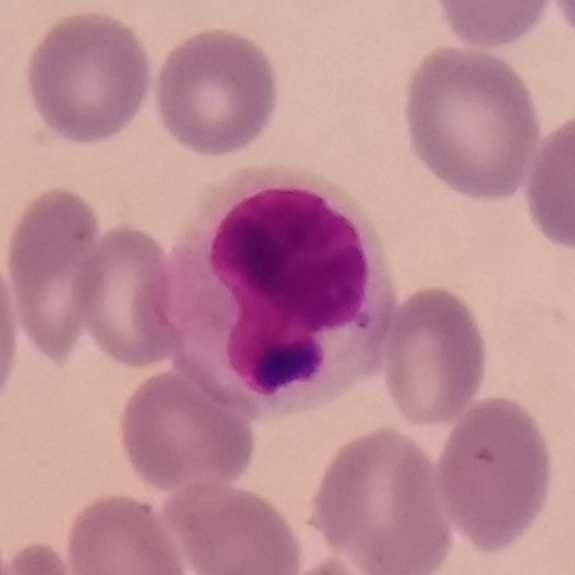{"cell_type": "lymphocyte", "lineage": "lymphoid"} Acquisition: Peripheral blood film.